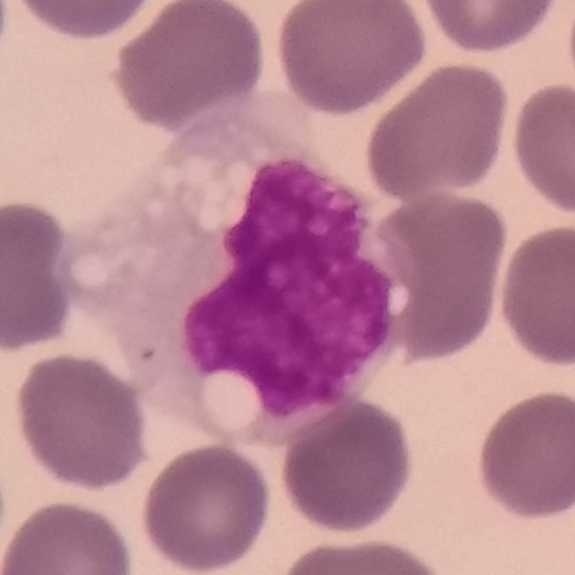Monocyte. Image: Giemsa-stained · image size 575×575 · peripheral blood film.